Photographed through a light microscope with a smartphone camera; peripheral blood smear: 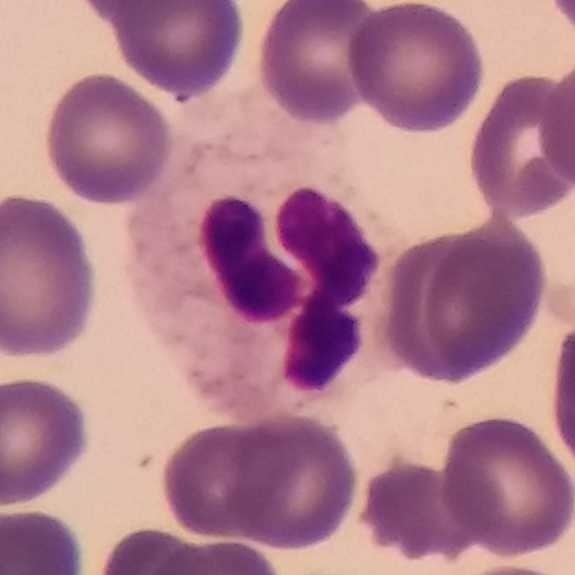 Cell: neutrophilic granulocyte.